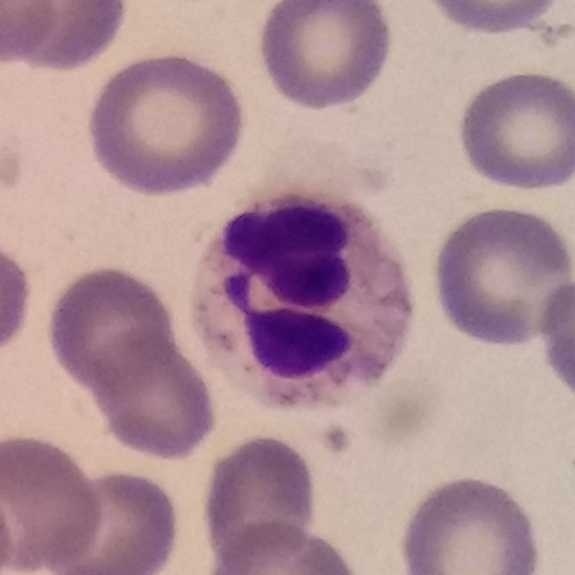 Q: What type of cell is this?
A: Neutrophil granulocyte. Context: Peripheral blood film; cropped to one leukocyte.